Peripheral blood film: 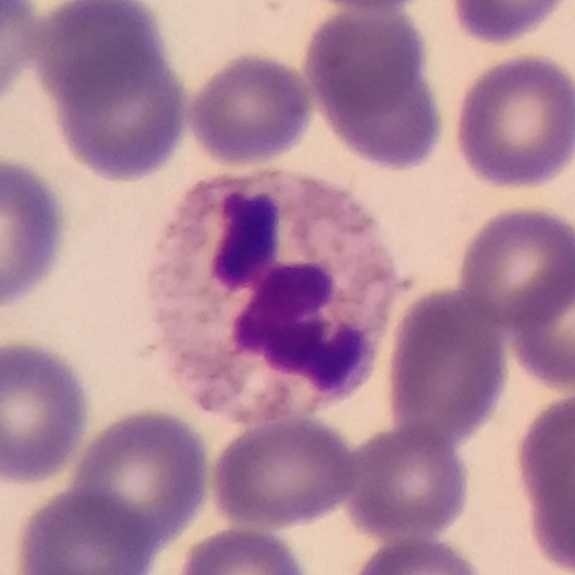 The morphological class is neutrophil granulocyte.